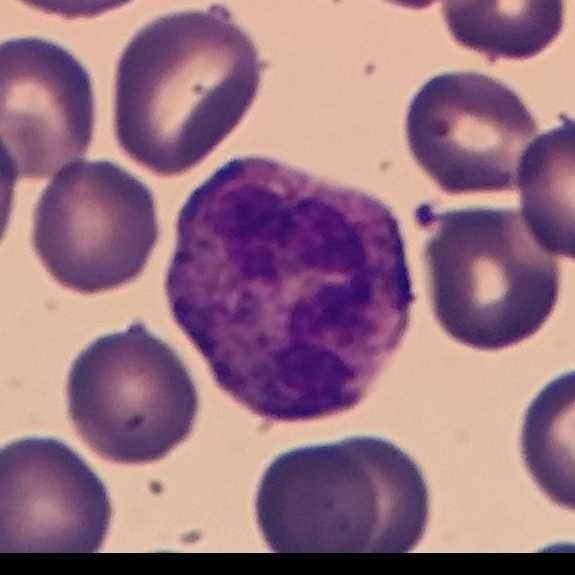Identified as a neutrophilic granulocyte.

Preparation: Peripheral blood smear.